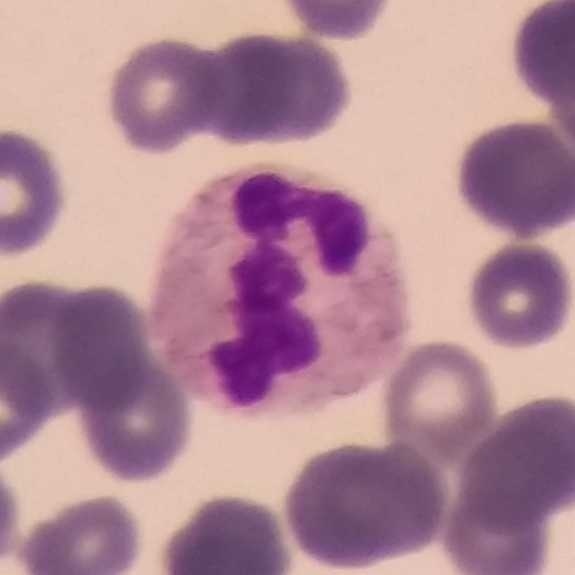
Specimen: peripheral blood smear.
Classification: neutrophilic granulocyte.